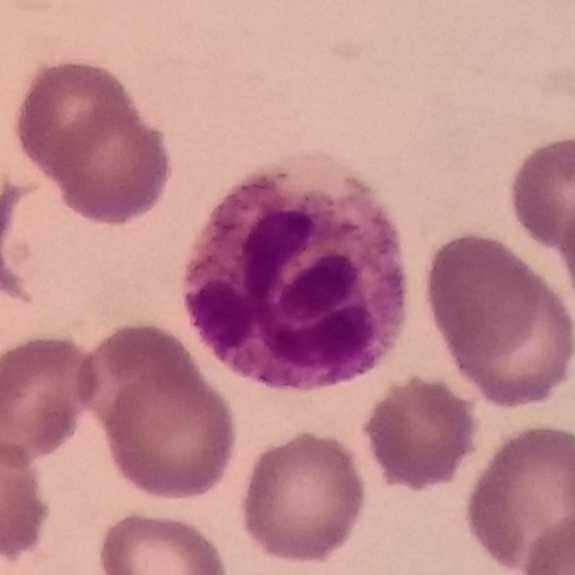
Single cell identified as a neutrophilic granulocyte.
Context: 575×575 px · peripheral blood film.